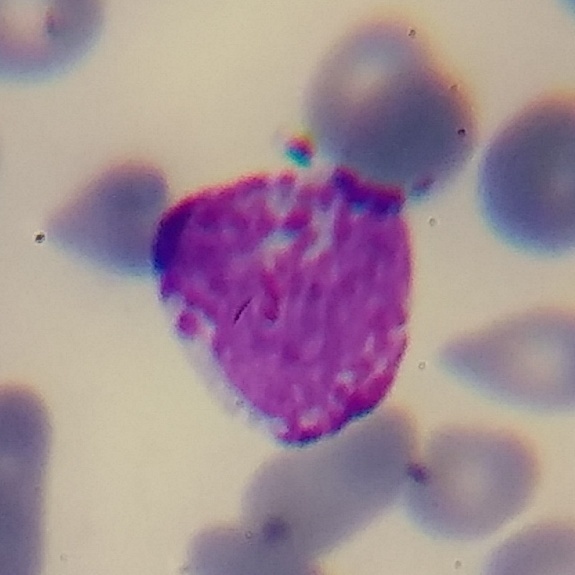Acquisition: Peripheral blood film.
Morphological class: basophilic granulocyte.